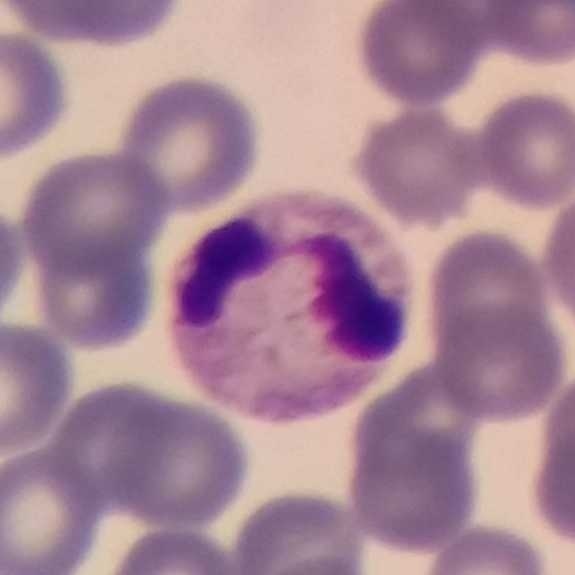Image: Photographed through a light microscope with a smartphone camera; peripheral blood smear; imaged at 100×. Showing a neutrophilic granulocyte.